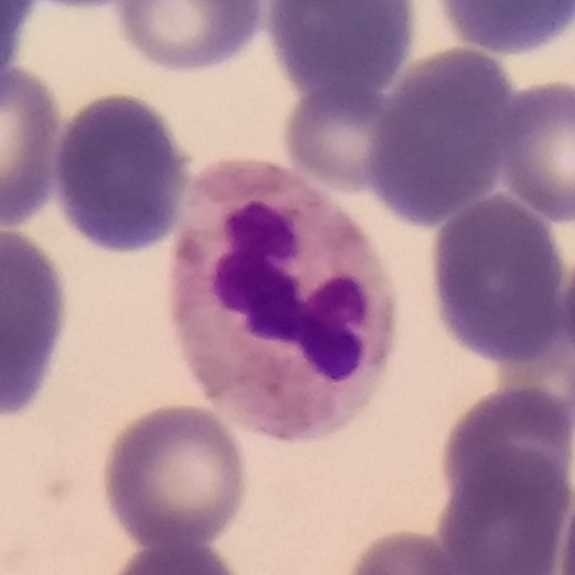

Q: What is this?
A: Neutrophil.

Stained with Giemsa. Peripheral blood smear. Smartphone camera mounted on the microscope eyepiece.